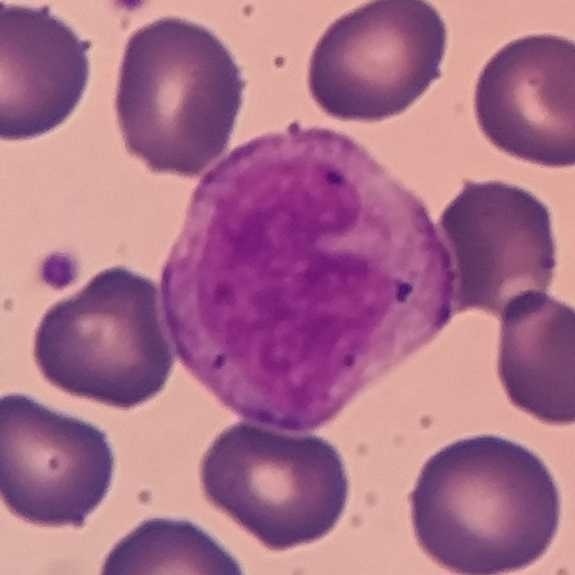 Preparation: Peripheral blood smear. This is a monocyte.